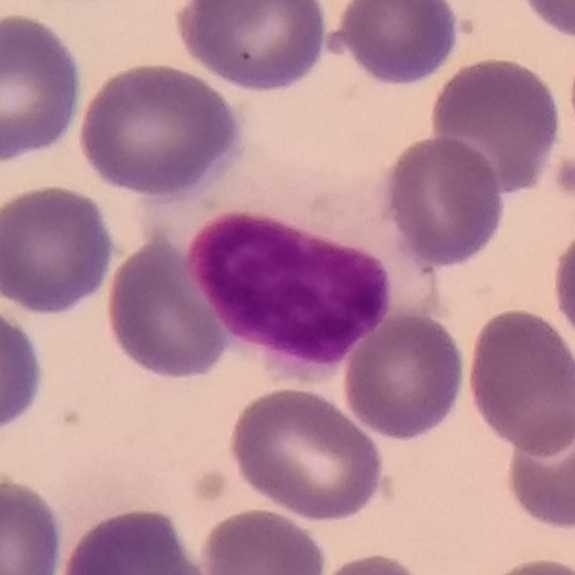 Single cell identified as a lymphocyte.

Acquisition: Peripheral blood film.